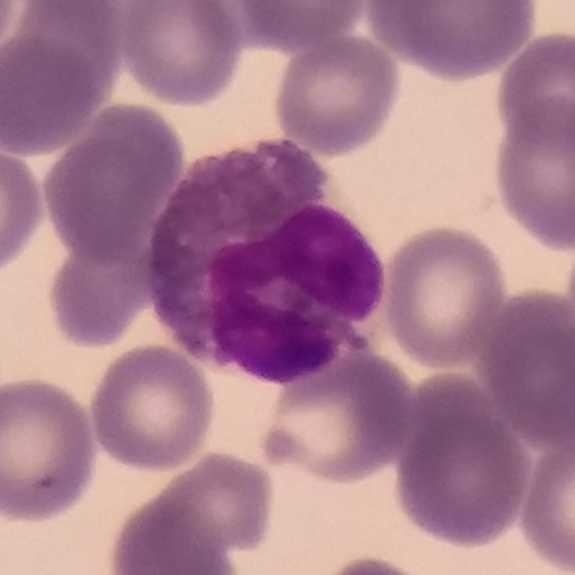 Eosinophil.
Acquisition: Peripheral blood film.